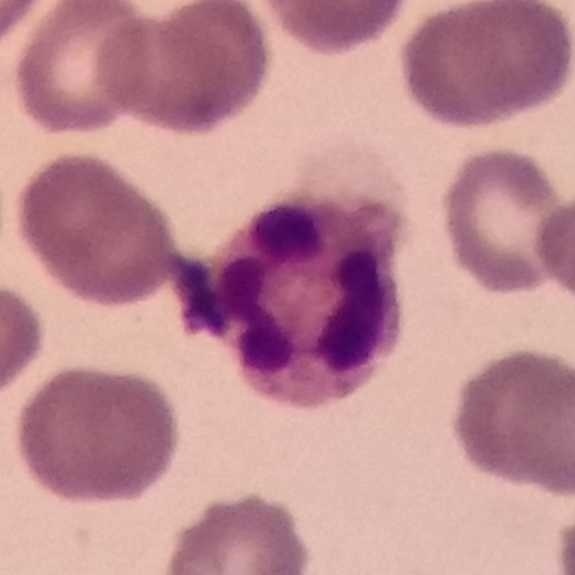

Specimen: peripheral blood smear.
Morphological class: neutrophil.